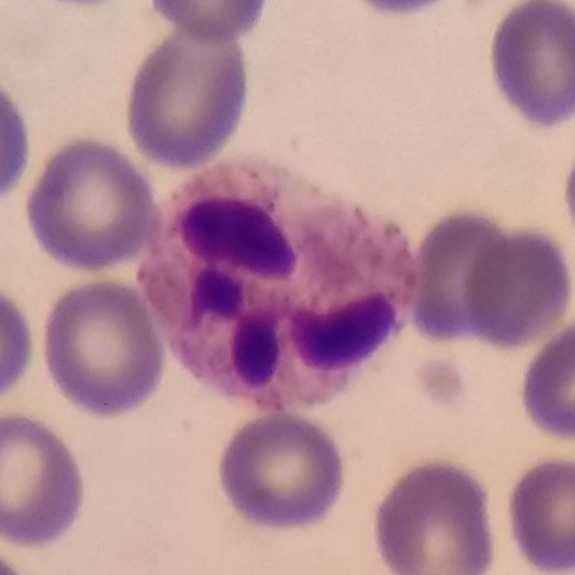

Specimen: peripheral blood film.
Cell: neutrophilic granulocyte.
Lineage: myeloid. Acquisition: 575 by 575 pixels · Giemsa stain.